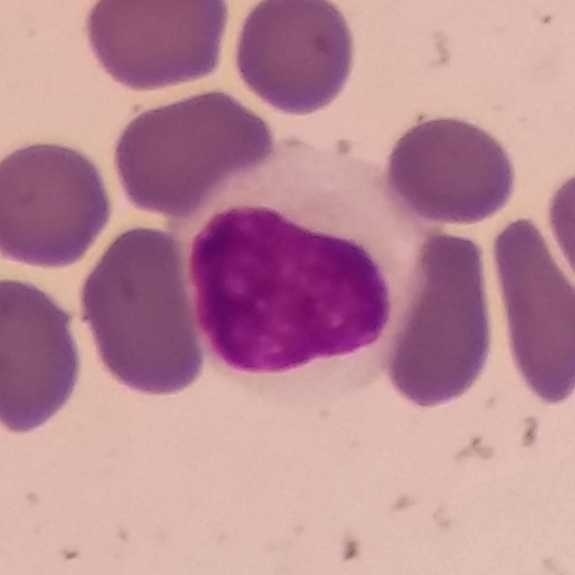

The white blood cell in this image is a lymphocyte. Context: Phone-camera image taken through the microscope ocular. Imaged at 100×. Peripheral blood film.